Peripheral blood film · single white blood cell cropped from the smear photograph.
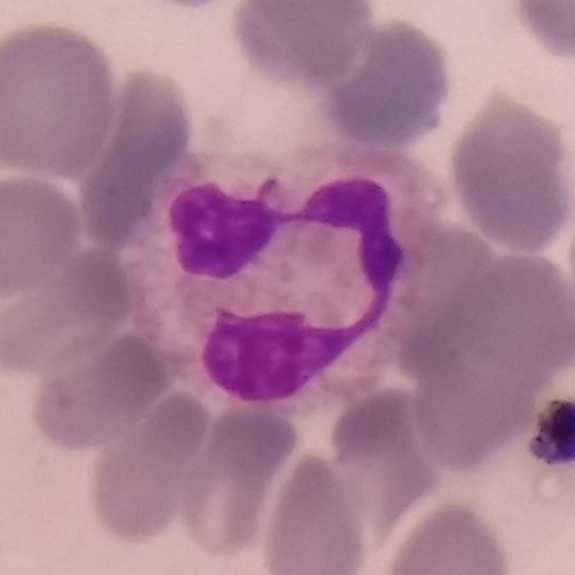Q: What is shown here?
A: It is a neutrophilic granulocyte.